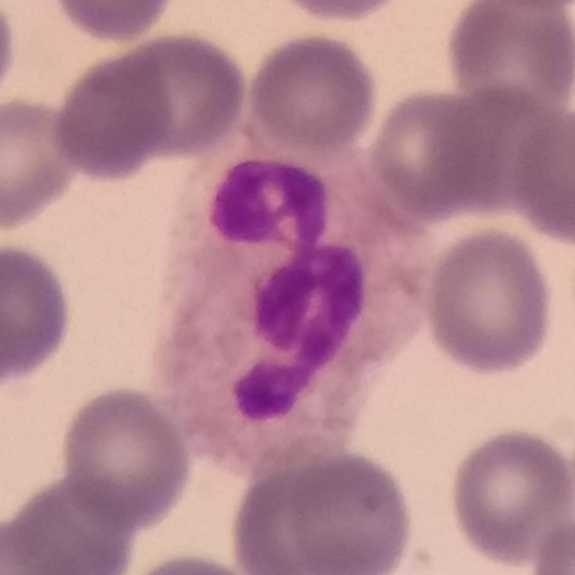Specimen: peripheral blood smear.
Classification: neutrophil granulocyte.
Lineage: myeloid. Image: Single-cell crop.